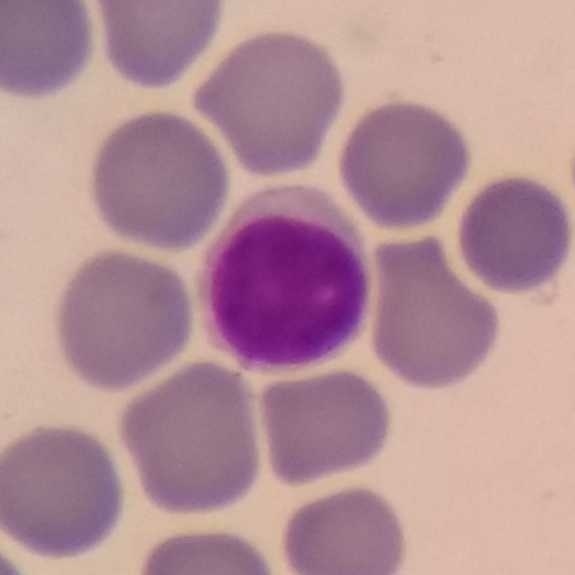

Image: Peripheral blood smear. A lymphocyte.